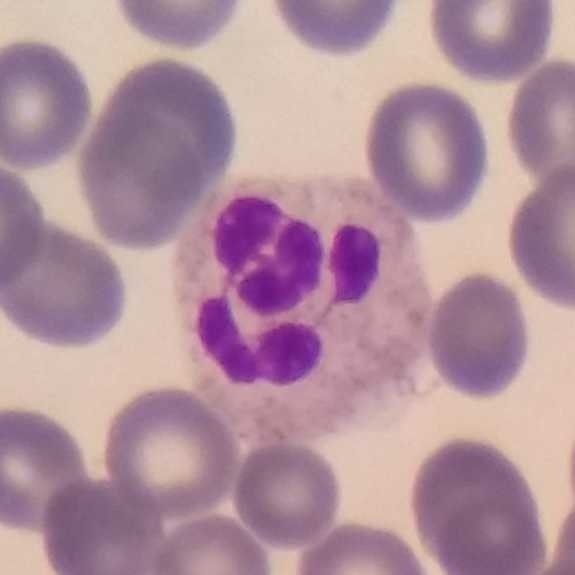This is a neutrophil.
Preparation: Peripheral blood film.